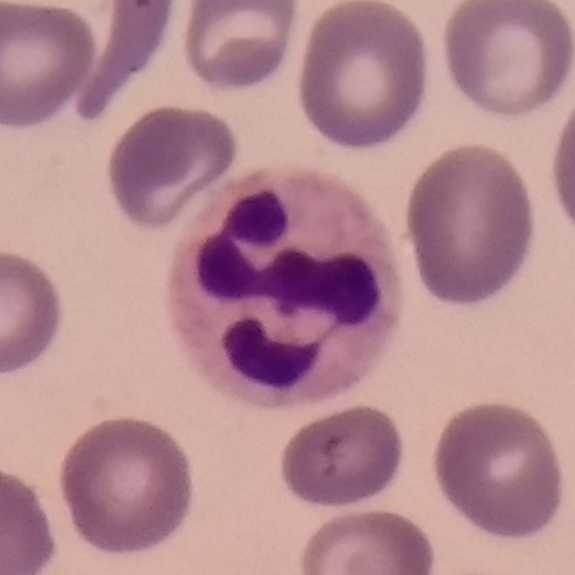

Image: 575×575 px · peripheral blood smear.

The cell type is neutrophilic granulocyte.